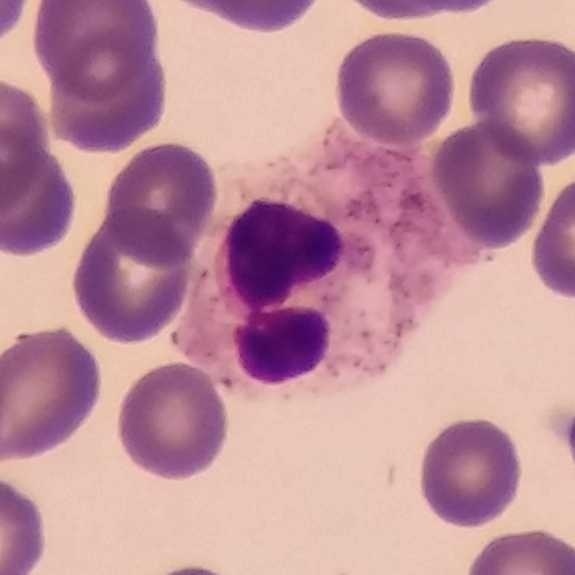

Peripheral blood film.
Impression → neutrophil granulocyte.